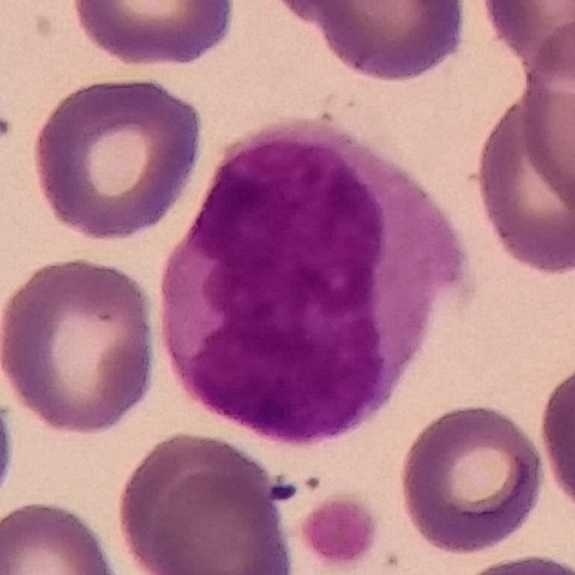Peripheral blood film; magnification 100×; photographed through a light microscope with a smartphone camera.

Q: What is the morphological classification of this cell?
A: A monocyte.